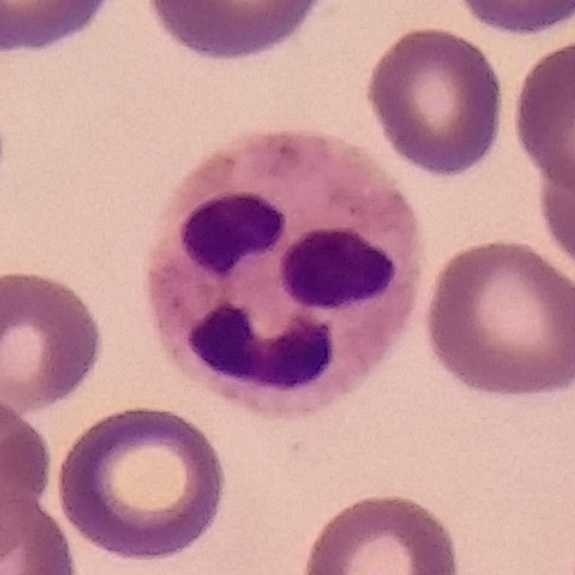 Preparation: Peripheral blood film.

Identified as a neutrophil.